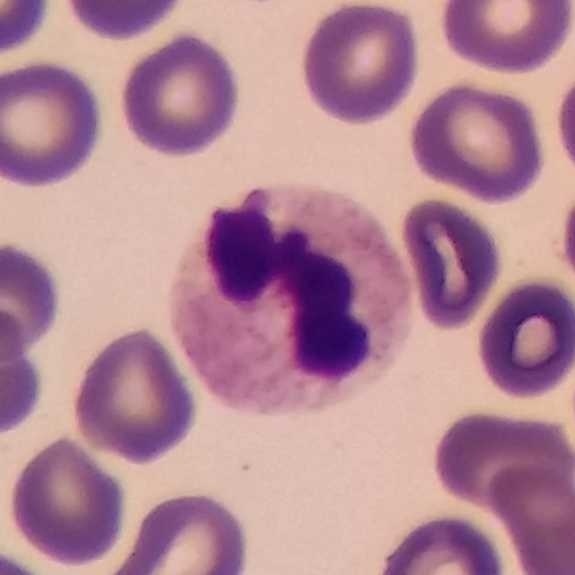The white blood cell type is neutrophil.

Image: Giemsa-stained · peripheral blood film.